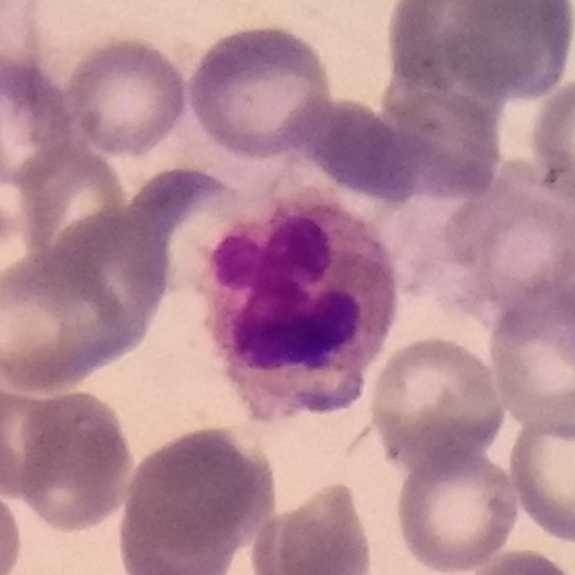
The white blood cell type is neutrophilic granulocyte.
Preparation: Phone-camera image taken through the microscope ocular; peripheral blood smear.